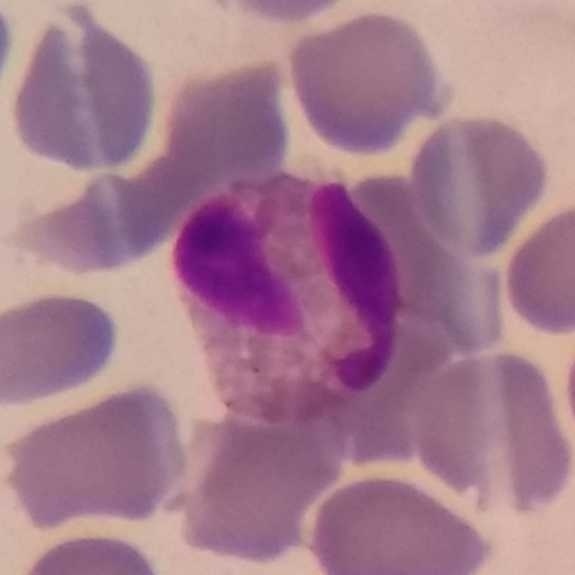
Specimen: peripheral blood film.
Cell: eosinophilic granulocyte.
Lineage: myeloid.